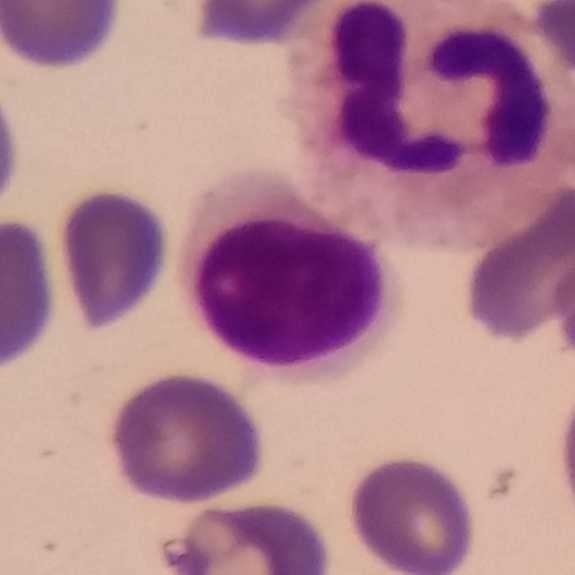Morphology — lymphocyte.